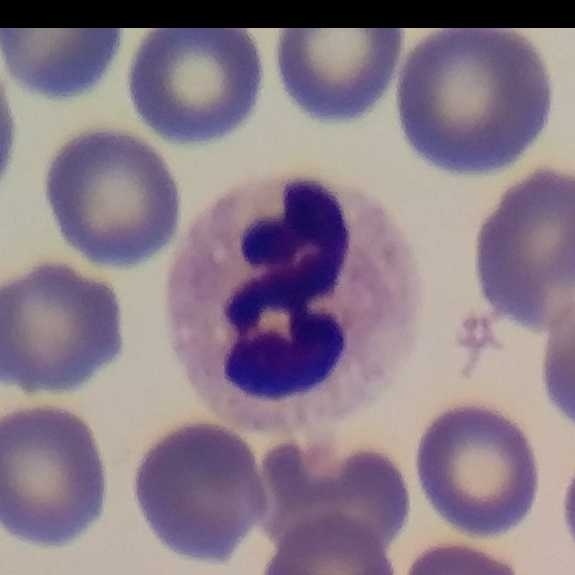Impression → neutrophil granulocyte.
Image: Peripheral blood smear.